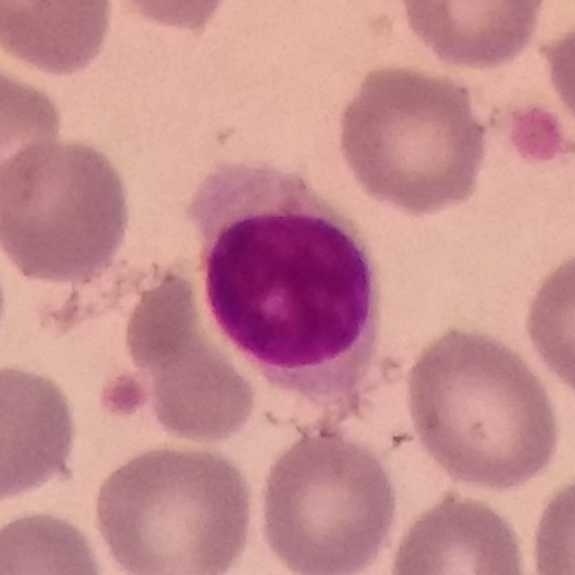

Peripheral blood smear; 100× magnification.
Q: Identify the cell.
A: Lymphocyte.